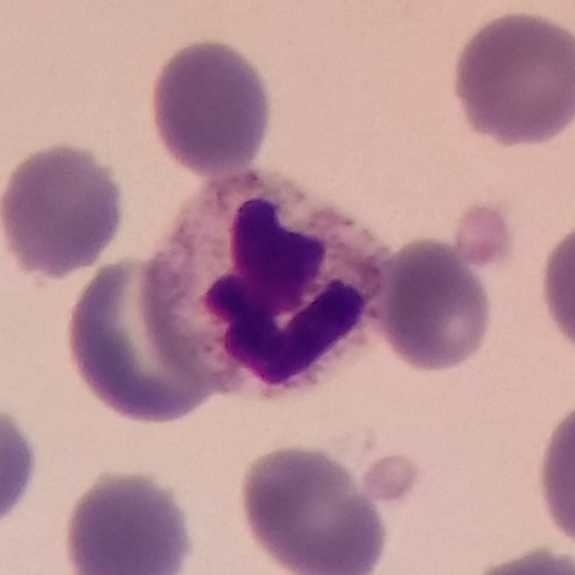
Identified as a neutrophilic granulocyte.

Preparation: Peripheral blood film.